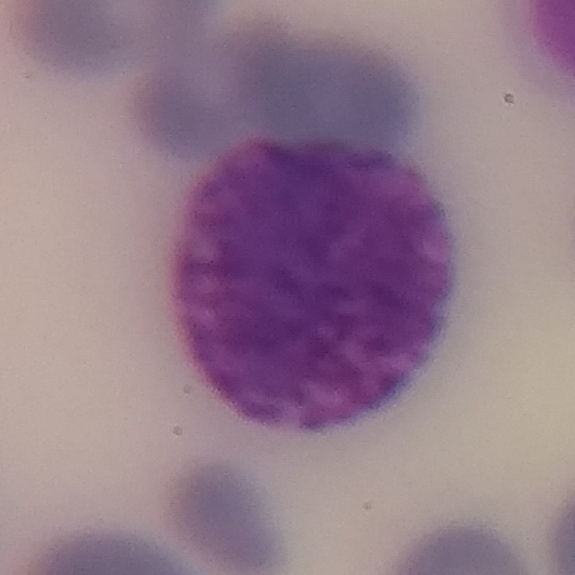 Acquisition: Peripheral blood film. Morphology → basophilic granulocyte.